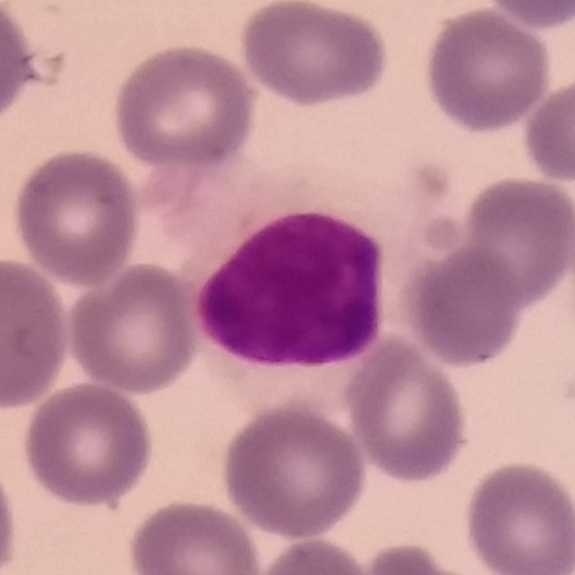Image: Peripheral blood smear. Image size 575×575. Showing a lymphocyte.